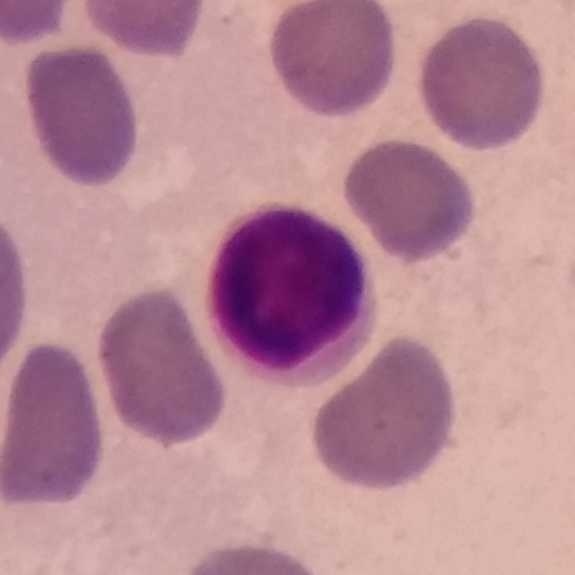 Image: 100× magnification · peripheral blood smear.

The classification is lymphocyte.